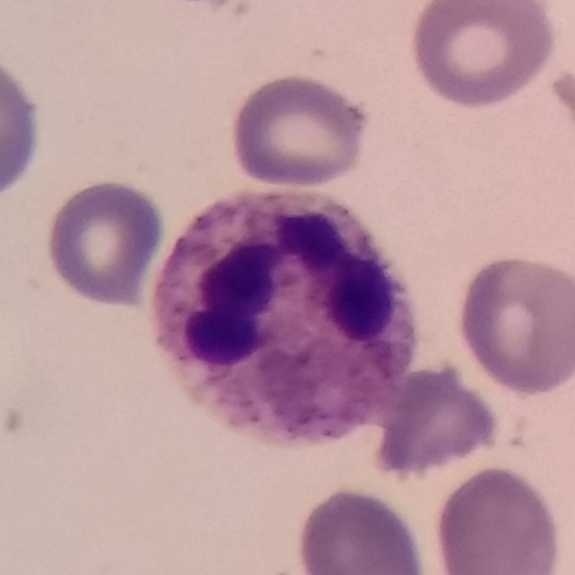
Acquisition: Magnification 100×. Peripheral blood film. A neutrophil granulocyte.